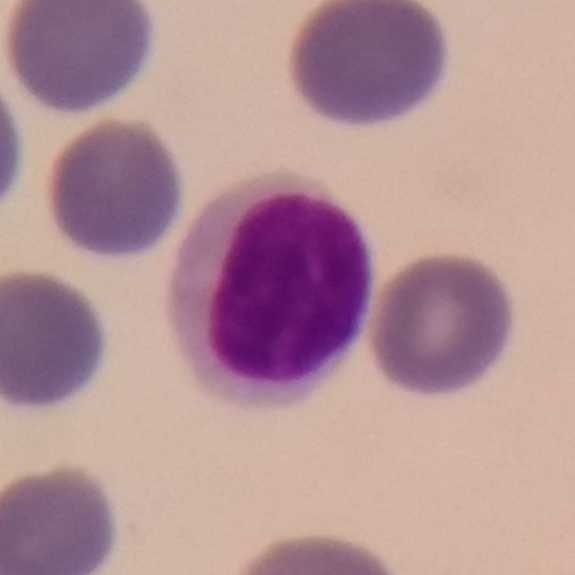
Peripheral blood film.
Morphology — lymphocyte.